Photographed through a light microscope with a smartphone camera · single-cell crop · peripheral blood film: 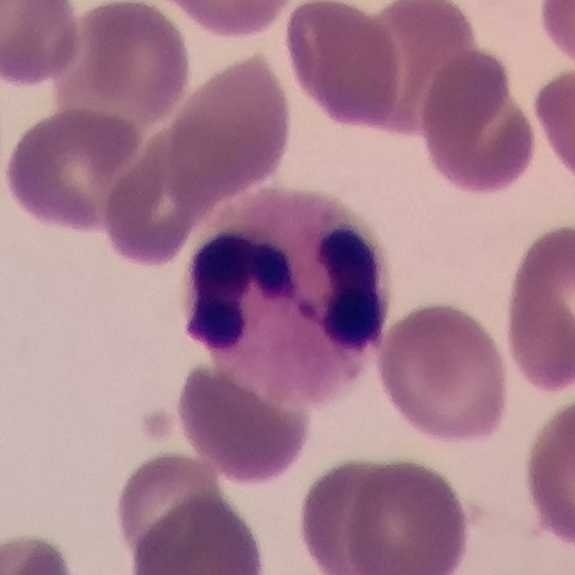

A neutrophil granulocyte.